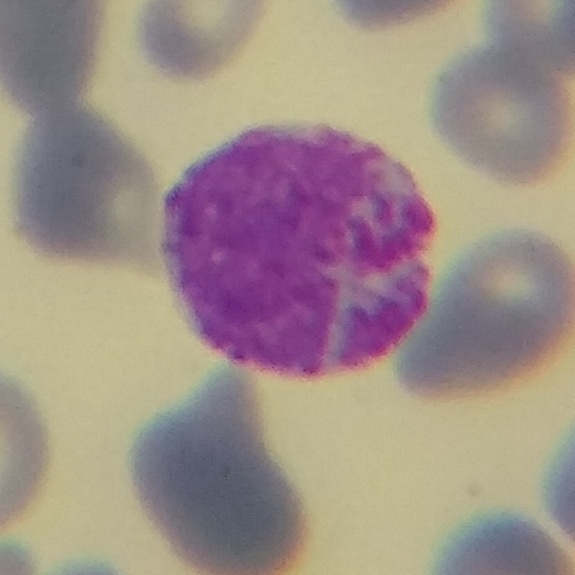
Showing a basophilic granulocyte. Context: Peripheral blood film.